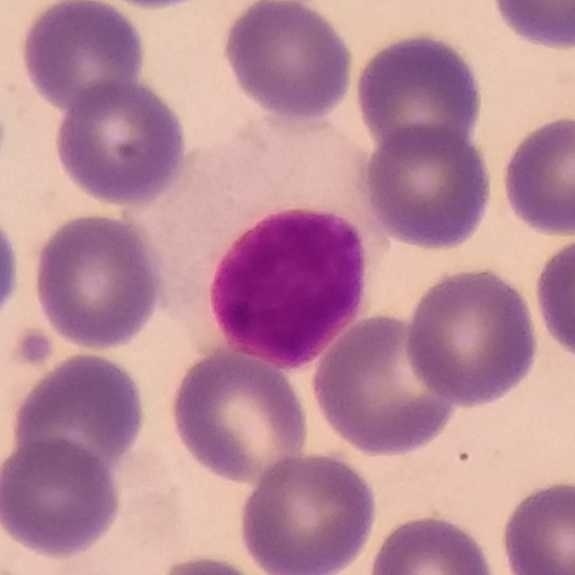
A lymphocyte.